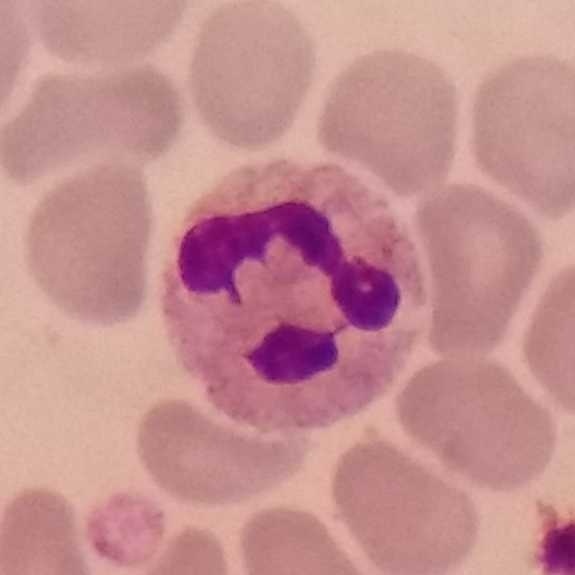Specimen: peripheral blood smear.
White blood cell type: neutrophil granulocyte.